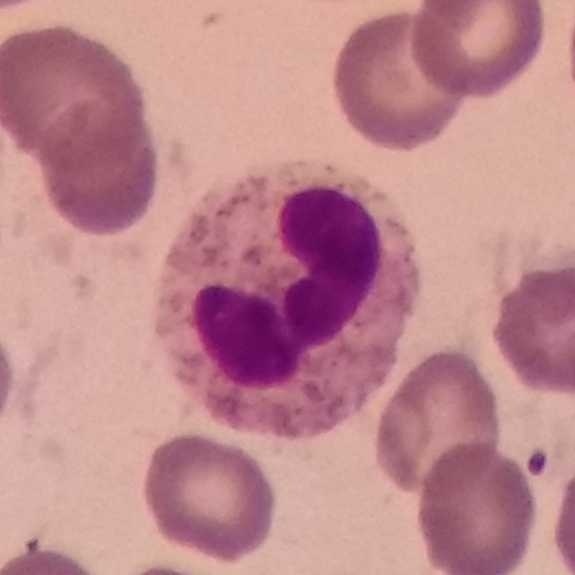

White blood cell from a peripheral blood smear: neutrophil granulocyte.